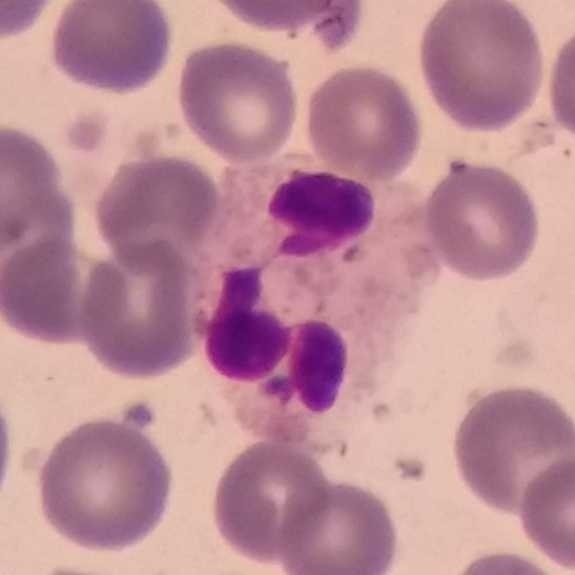
Preparation: 575 by 575 pixels · peripheral blood smear · single white blood cell cropped from the smear photograph.

Morphology consistent with a neutrophilic granulocyte.